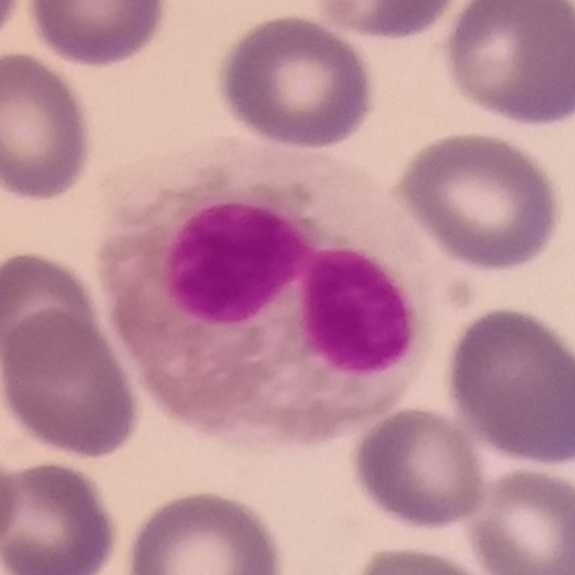
Single-cell crop · peripheral blood smear. {"cell_type": "eosinophilic granulocyte", "lineage": "myeloid"}